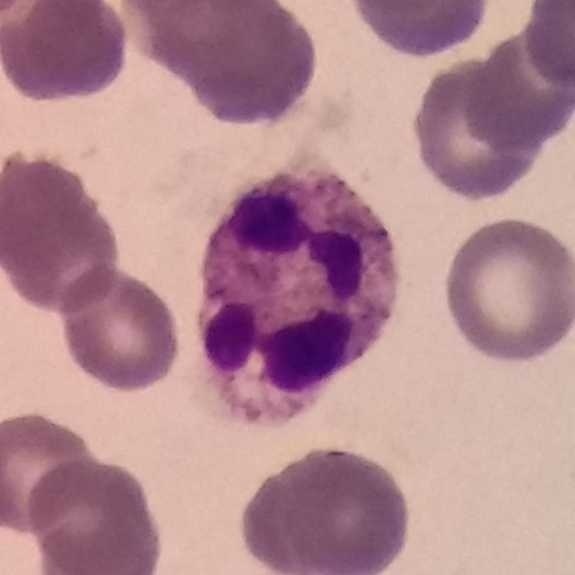Peripheral blood smear. Cropped to one leukocyte.
This is a neutrophilic granulocyte.